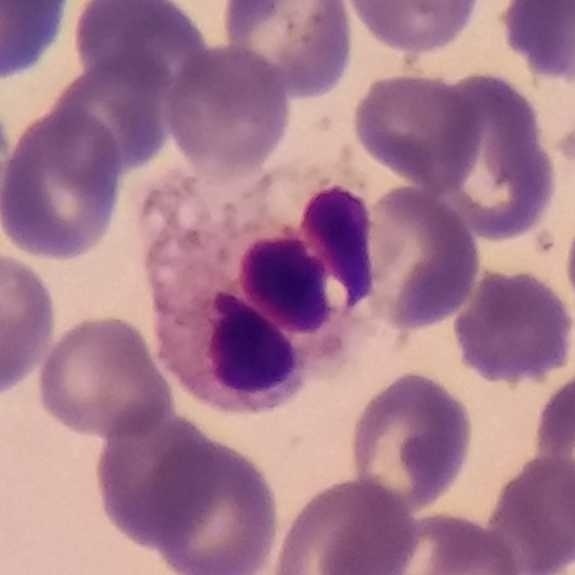

Preparation: Peripheral blood film · 575×575. Q: What is this?
A: It is a neutrophilic granulocyte.